Peripheral blood film:
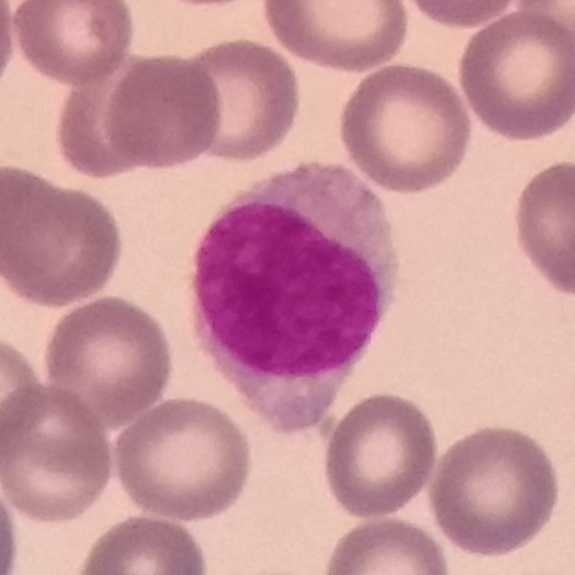The white blood cell in this image is a lymphocyte.